Image size 575×575. Peripheral blood smear:
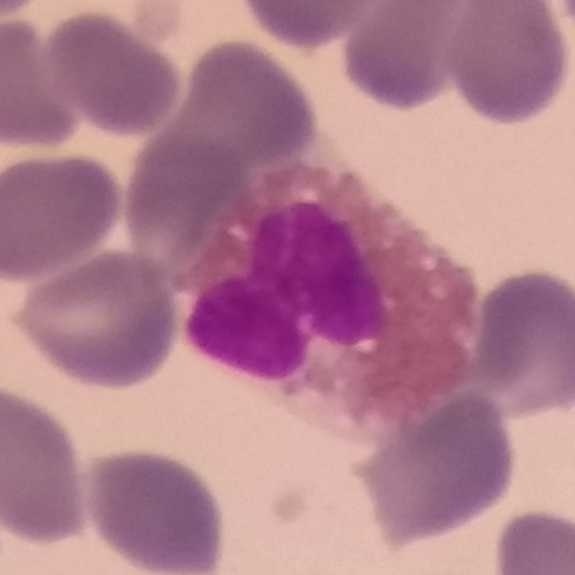 Morphological class: eosinophil.